Single-cell crop · peripheral blood smear: 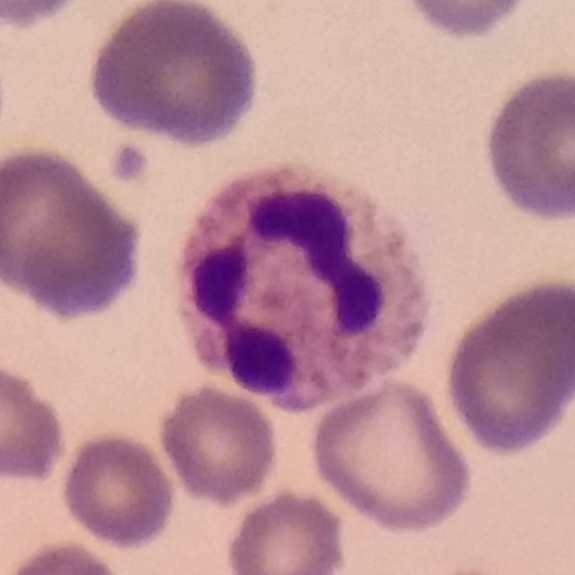
Showing a neutrophilic granulocyte.